Peripheral blood film.
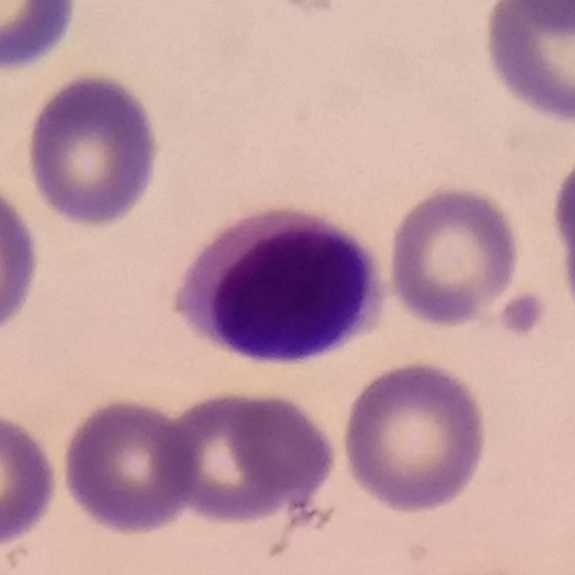Q: What type of cell is this?
A: Lymphocyte.